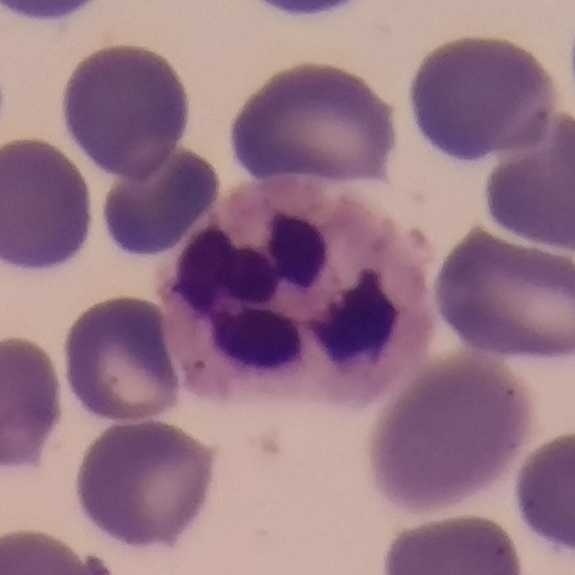Morphological class: neutrophilic granulocyte.

Preparation: Peripheral blood film.